Peripheral blood smear:
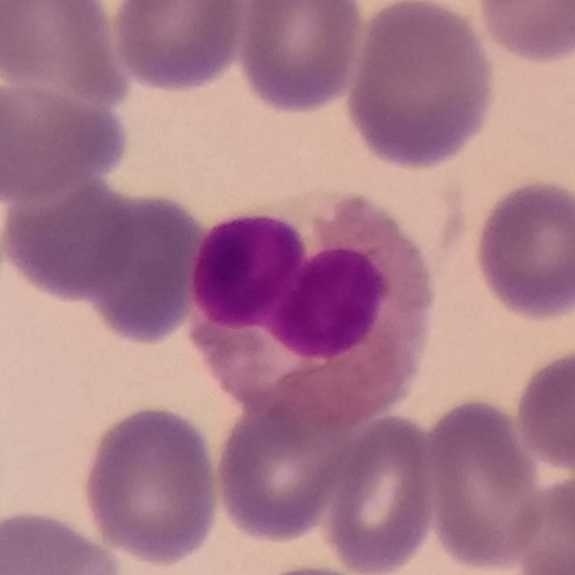 Q: Classify this leukocyte.
A: This is an eosinophil.